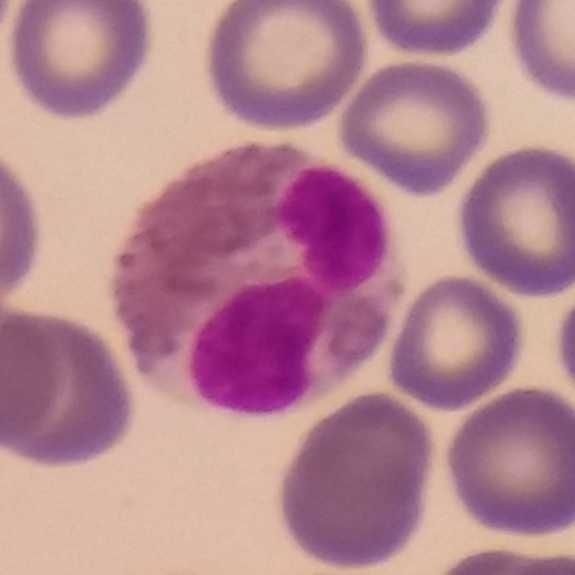The cell type is eosinophil.